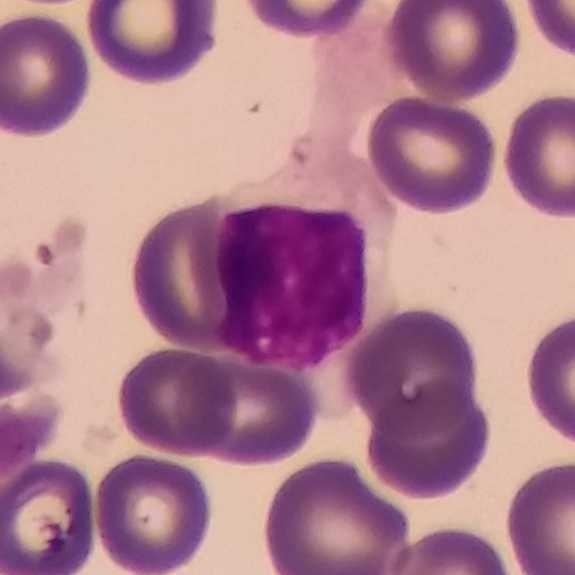

Classification = lymphocyte.
Preparation: Peripheral blood smear · Giemsa stain · 575×575.